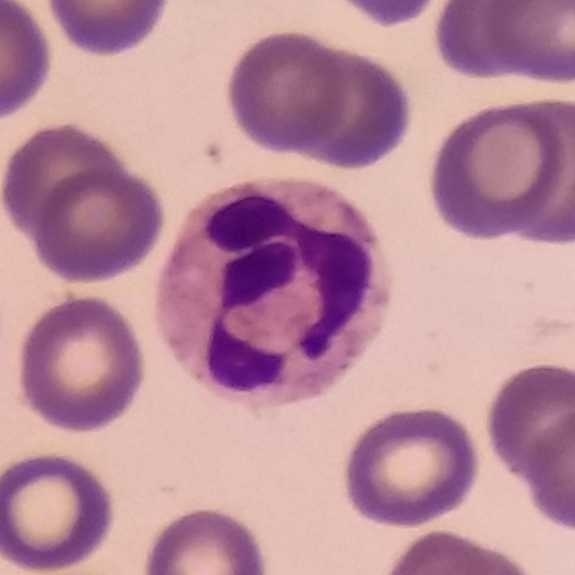
Cell type: neutrophil.